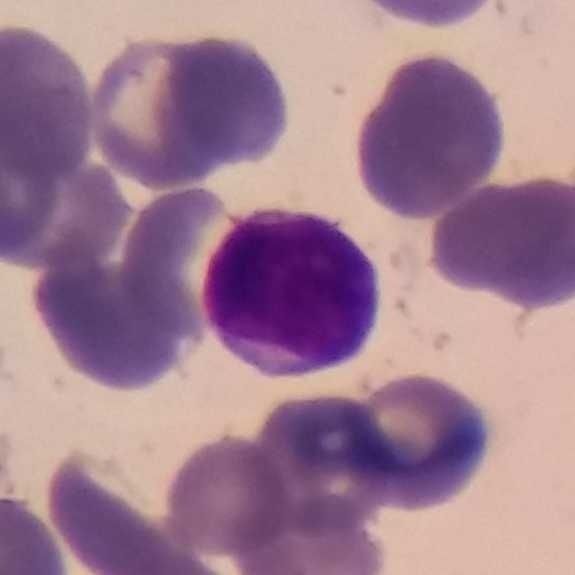

Cell — lymphocyte.
Preparation: Peripheral blood smear. Imaged at 100×.